Peripheral blood smear; smartphone photomicrograph.
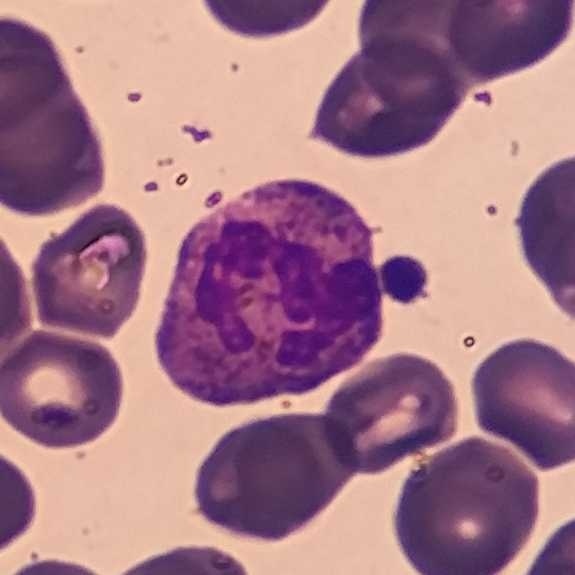
{"cell_type": "neutrophilic granulocyte"}